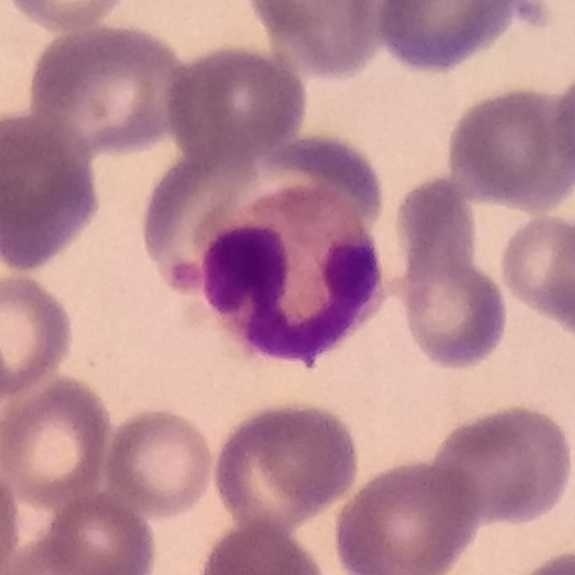 The white blood cell in this image is a neutrophil granulocyte.

Image: Peripheral blood smear. Giemsa stain. Imaged at 100×.